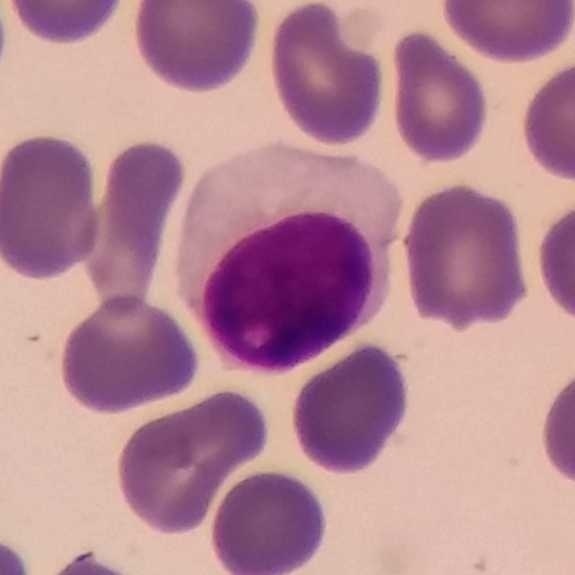

Specimen: peripheral blood smear.
Morphological class: lymphocyte.
Lineage: lymphoid.
Preparation: Cropped to one leukocyte.